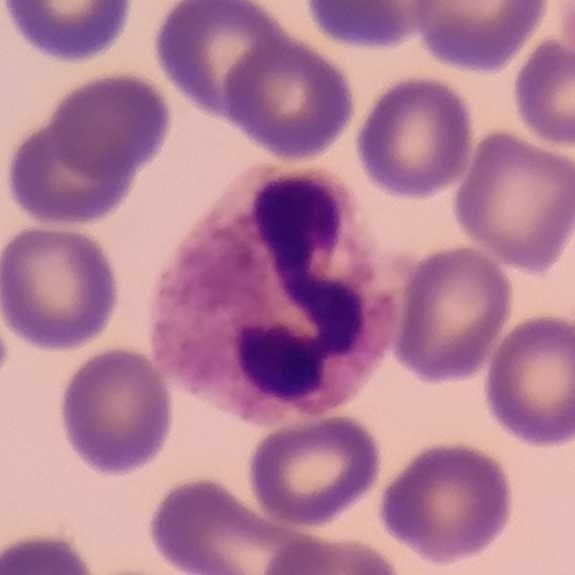Cell type = neutrophilic granulocyte.